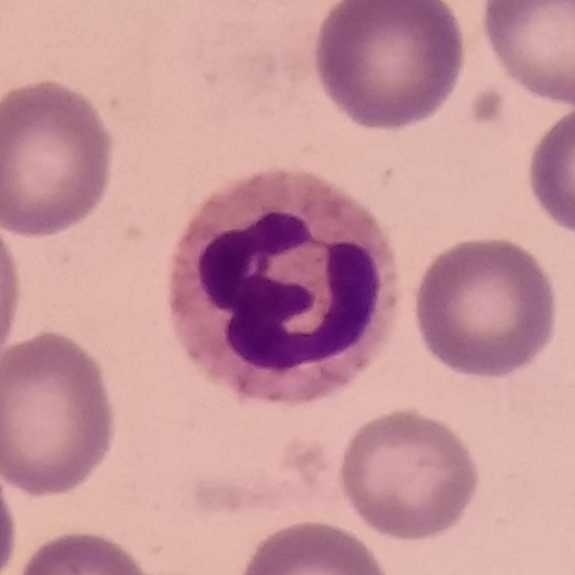
Q: What is shown here?
A: Neutrophil granulocyte. Preparation: Peripheral blood film.